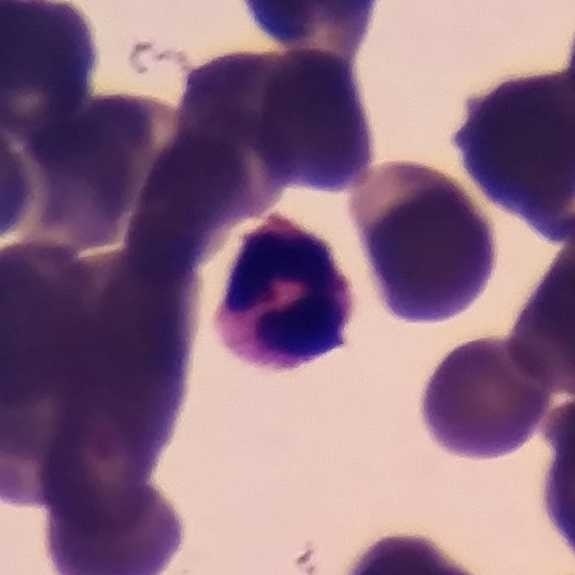 The cell shown is a neutrophil granulocyte. Peripheral blood smear.